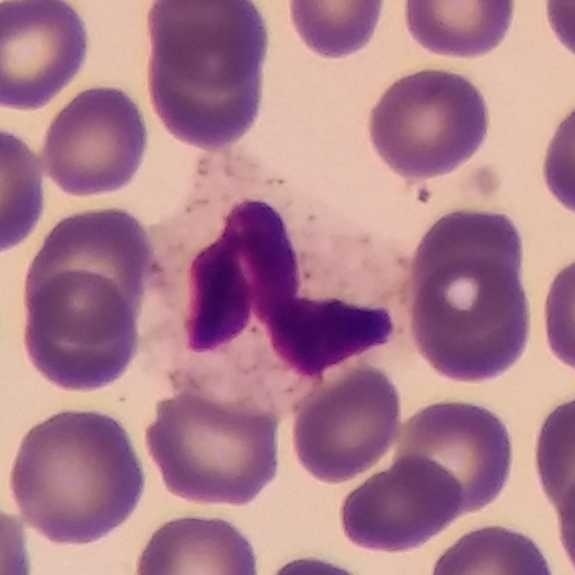

Acquisition: Cropped to one leukocyte · peripheral blood smear · 100× magnification.

Showing a neutrophilic granulocyte.